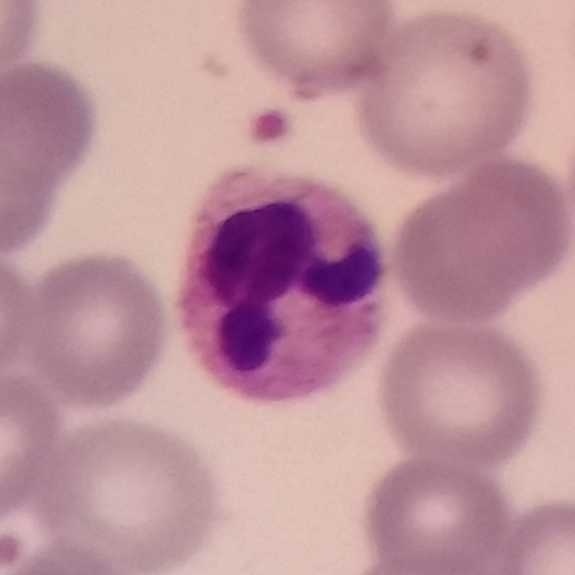 Q: Which cell type is shown here?
A: Neutrophil granulocyte.